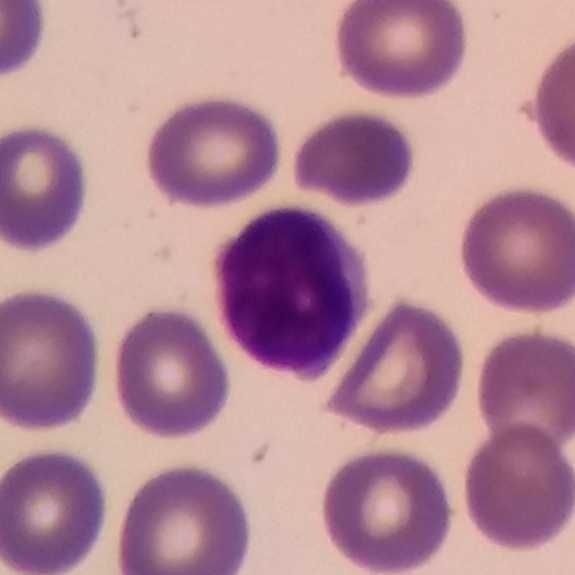
Q: What is this?
A: A lymphocyte.